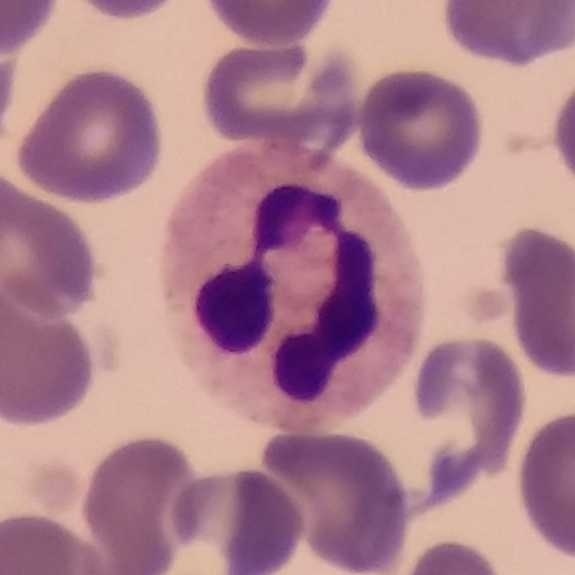The white blood cell in this image is a neutrophil. Context: Peripheral blood smear. Smartphone camera mounted on the microscope eyepiece.